Smartphone photomicrograph; peripheral blood film — 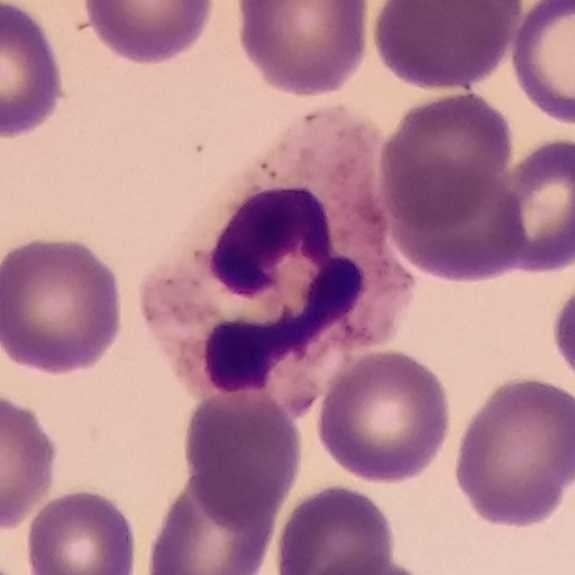
Morphological class = neutrophil granulocyte.